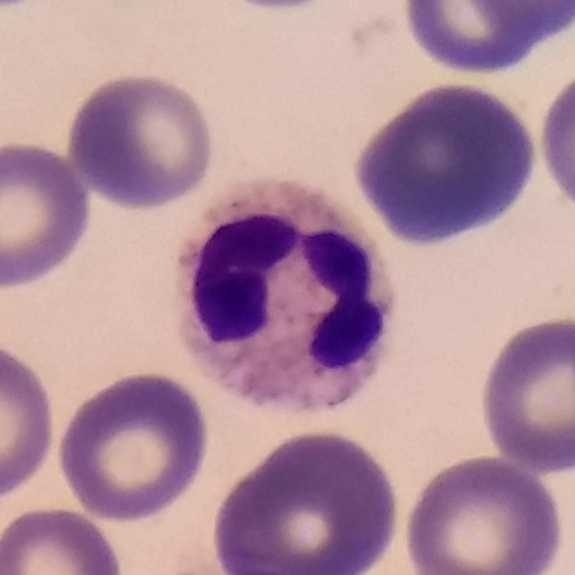
The cell shown is a neutrophil granulocyte. Preparation: Peripheral blood film.